Photographed through a light microscope with a smartphone camera · peripheral blood film · cropped to one leukocyte: 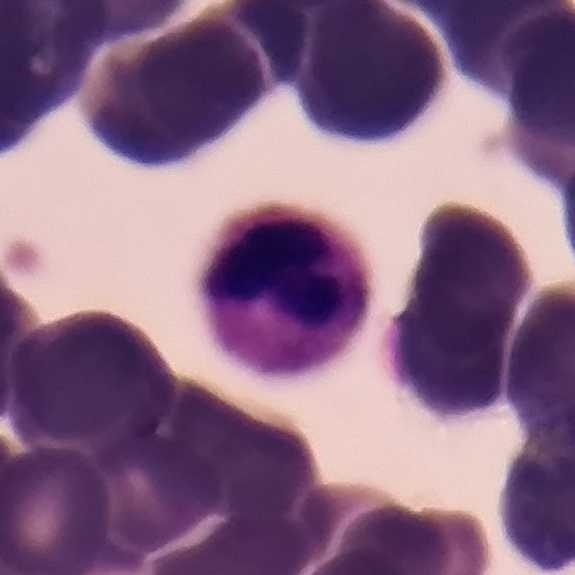

Q: Classify this leukocyte.
A: A neutrophil granulocyte.